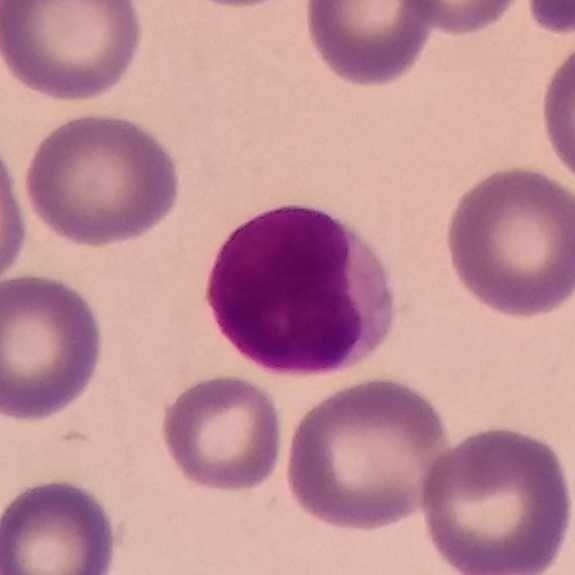 Morphology consistent with a lymphocyte. Preparation: Peripheral blood film.